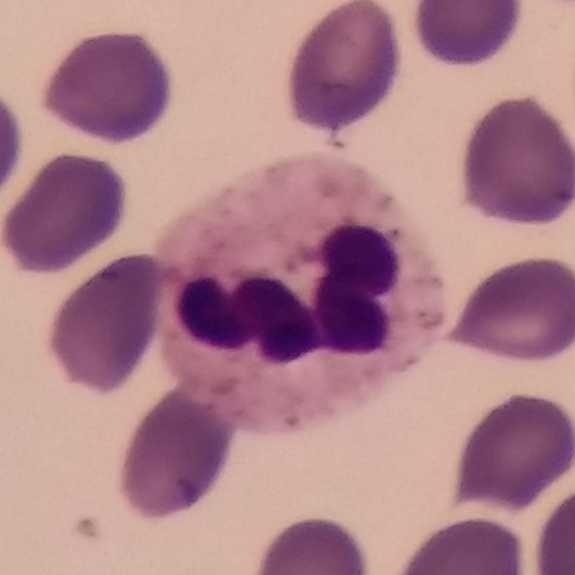 Context: Peripheral blood film. Q: What is the morphological classification of this cell?
A: It is a neutrophil.